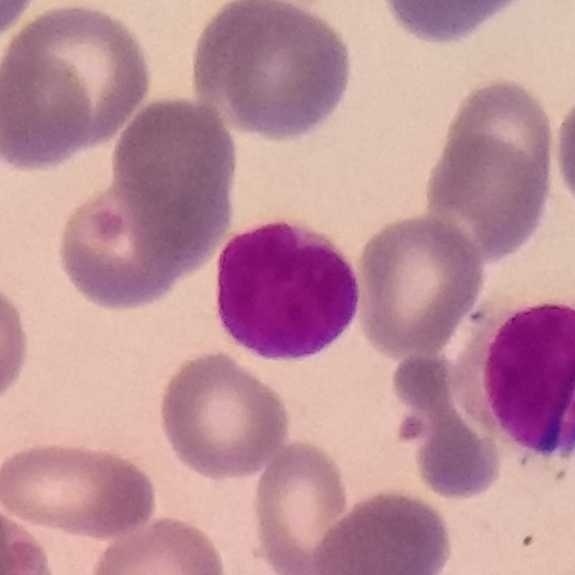 Peripheral blood film. {"cell_type": "lymphocyte"}